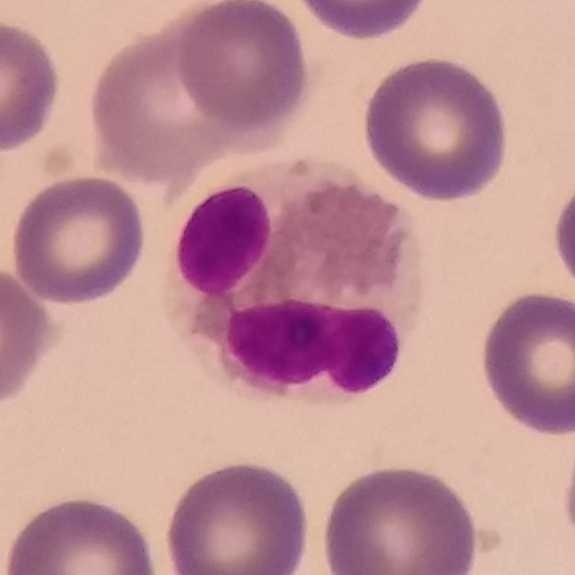Specimen: peripheral blood film.
Cell: eosinophil.
Lineage: myeloid.